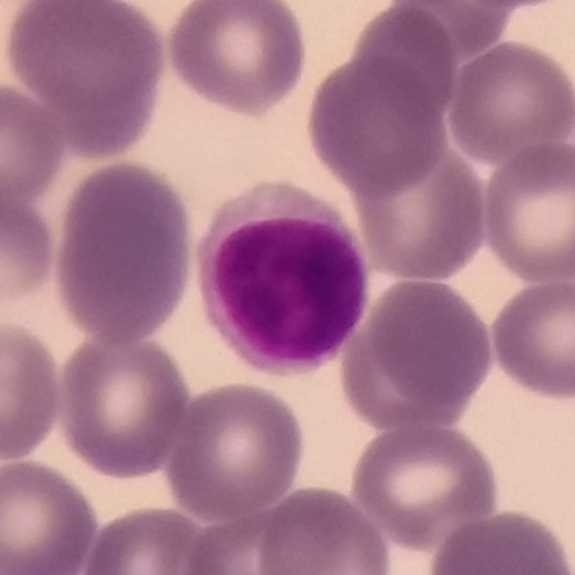 Phone-camera image taken through the microscope ocular. Peripheral blood film.

Cell type: lymphocyte.